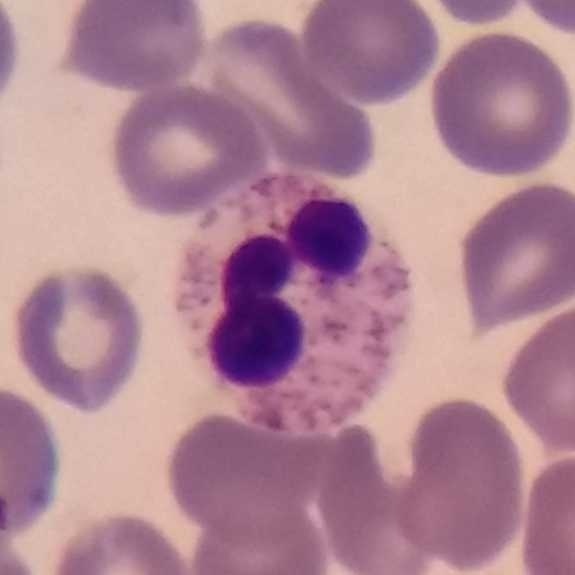 Q: What is the morphological classification of this cell?
A: It is a neutrophil.